Peripheral blood smear · Giemsa stain.
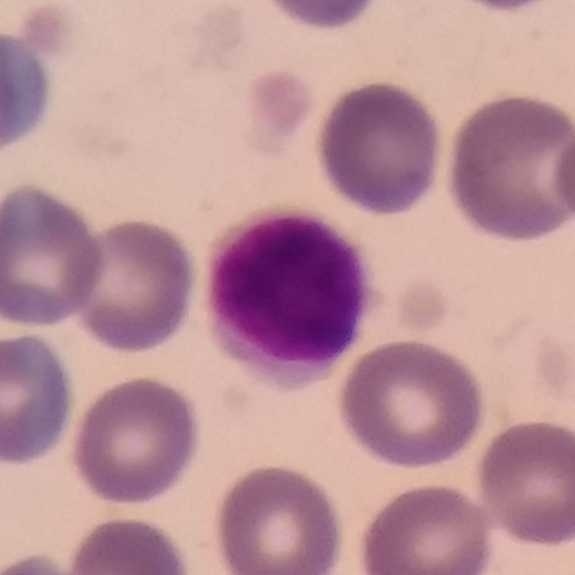The white blood cell in this image is a lymphocyte.